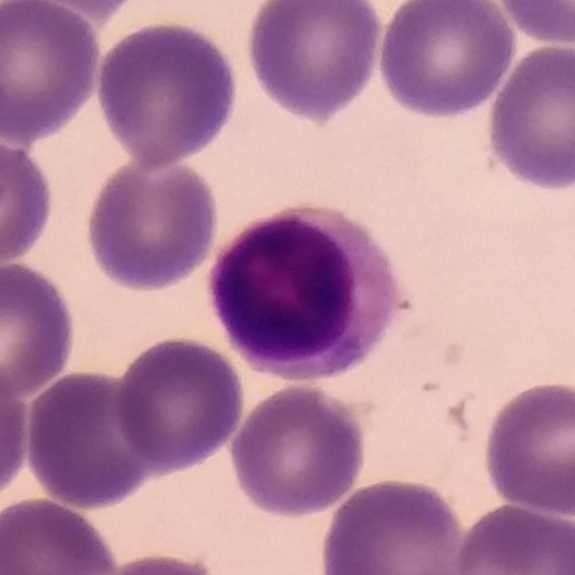

Cell type — lymphocyte.